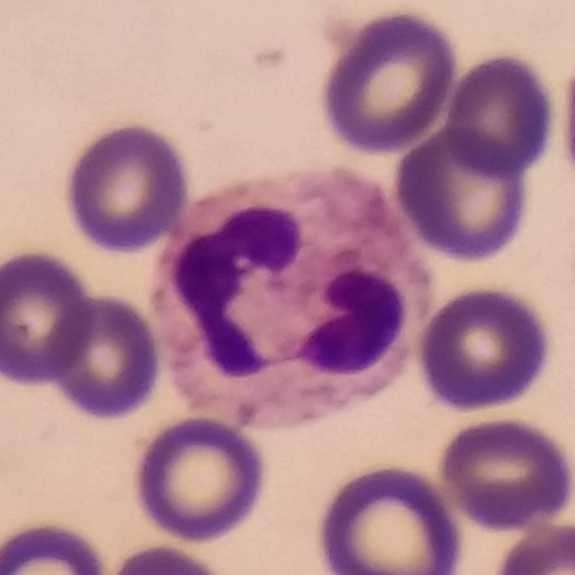 Morphology consistent with a neutrophil granulocyte.

Peripheral blood smear.